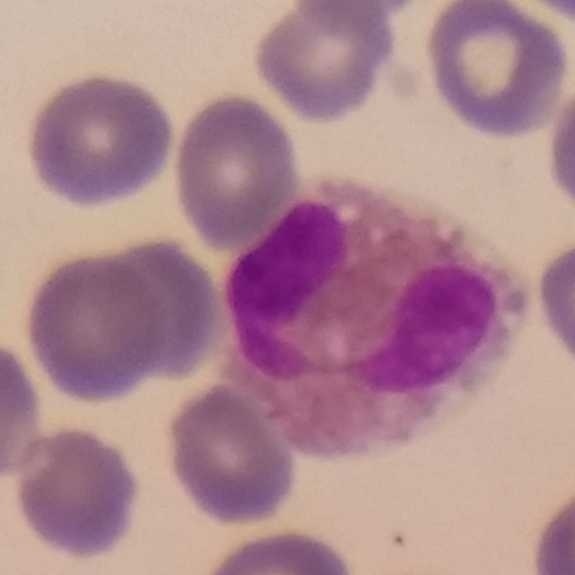 The morphological class is eosinophilic granulocyte.
Image: Peripheral blood smear.